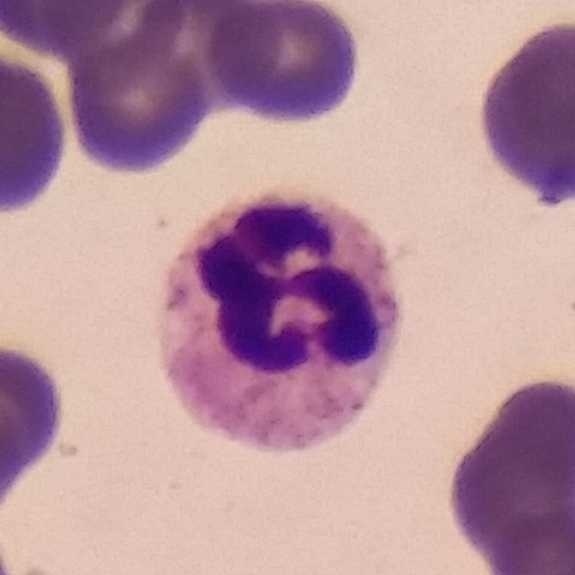

Preparation: Peripheral blood film.
Single cell identified as a neutrophil.